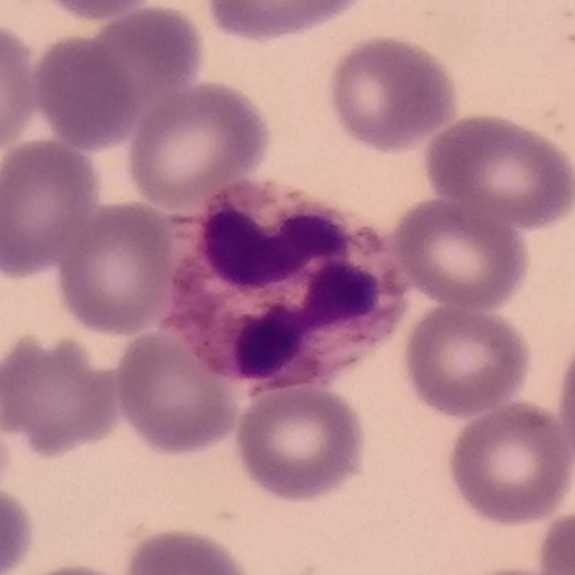{"cell_type": "neutrophil granulocyte"} Context: Peripheral blood smear. Imaged at 100×. Image size 575×575.